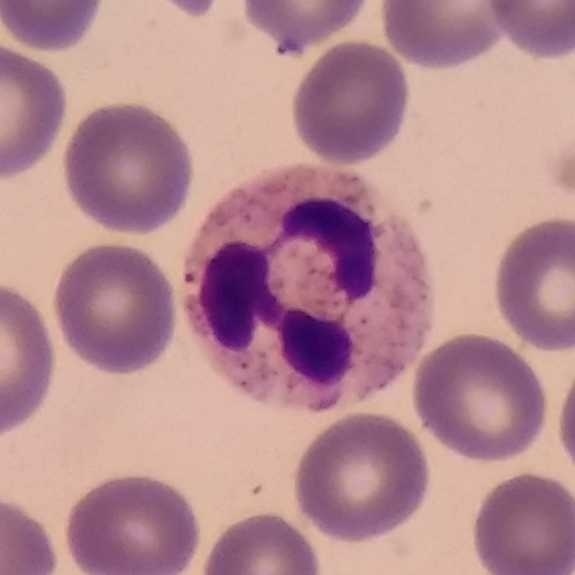

Q: Which cell type is shown here?
A: A neutrophil. Image: Peripheral blood smear; magnification 100×.